100× magnification · peripheral blood film
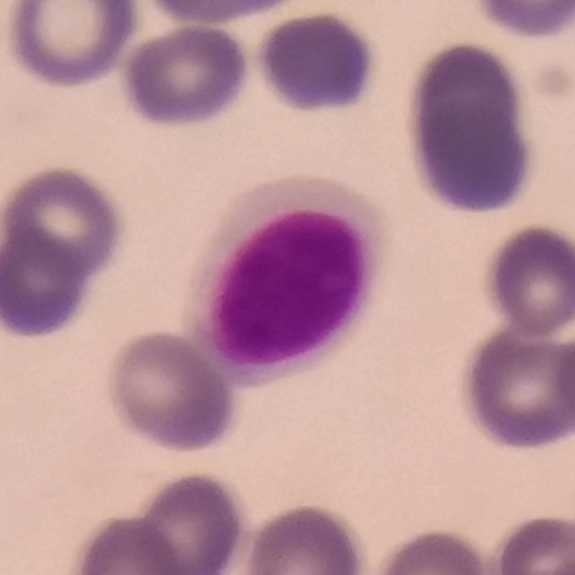Classification: lymphocyte.